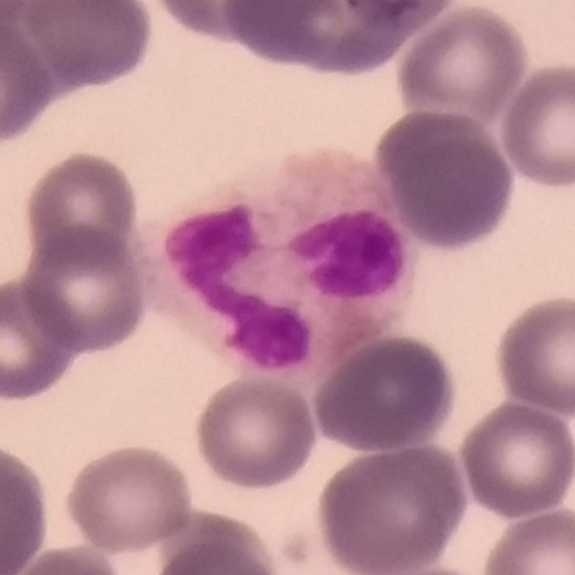

Peripheral blood smear showing a neutrophilic granulocyte.